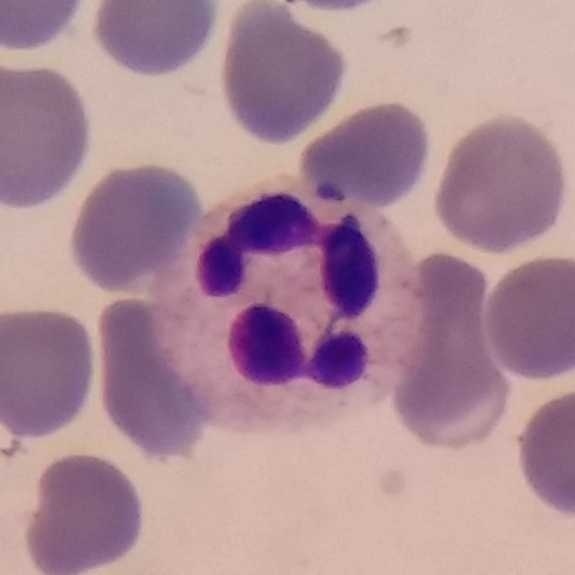
The white blood cell in this image is a neutrophil. Photographed through a light microscope with a smartphone camera; peripheral blood smear.